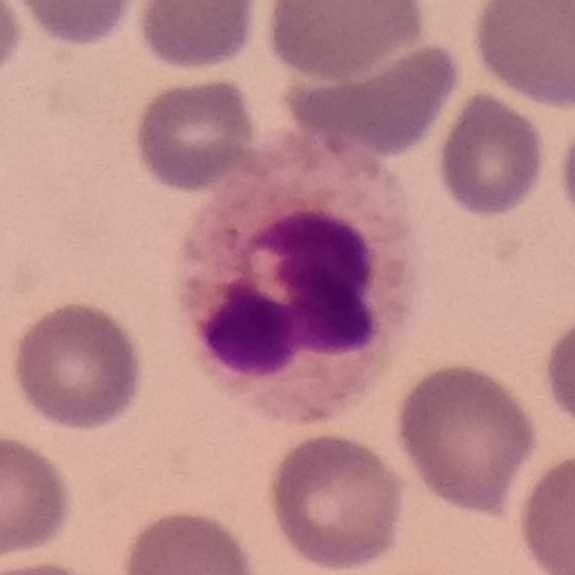
Q: What cell is this?
A: It is a neutrophil granulocyte.